Stained with Giemsa · peripheral blood film:
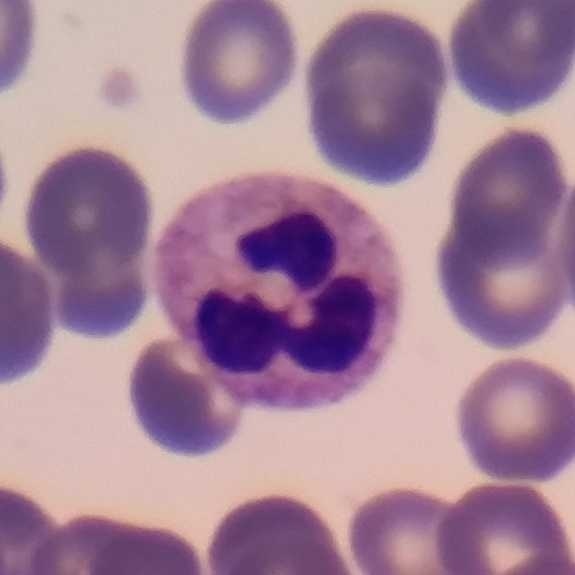
Showing a neutrophilic granulocyte.